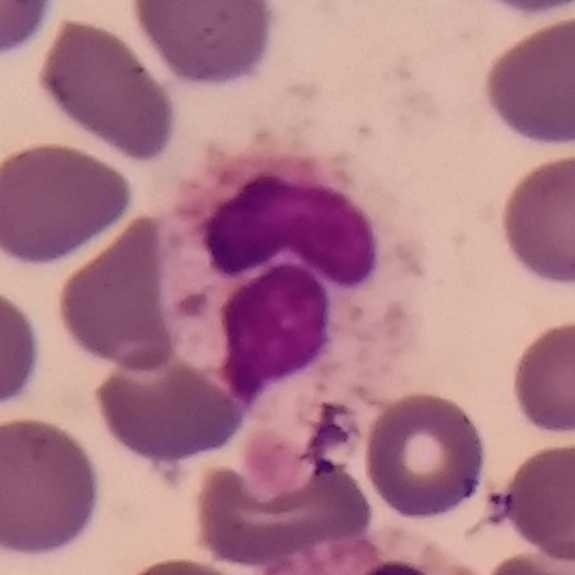
Q: What type of cell is this?
A: This is a neutrophil granulocyte.

Image: 575 by 575 pixels. Peripheral blood smear.